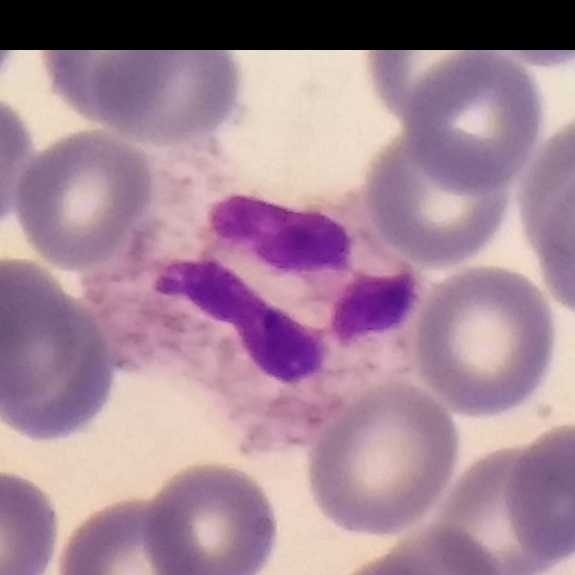
Peripheral blood film. Phone-camera image taken through the microscope ocular. Q: Which type of white blood cell is this?
A: Neutrophilic granulocyte.